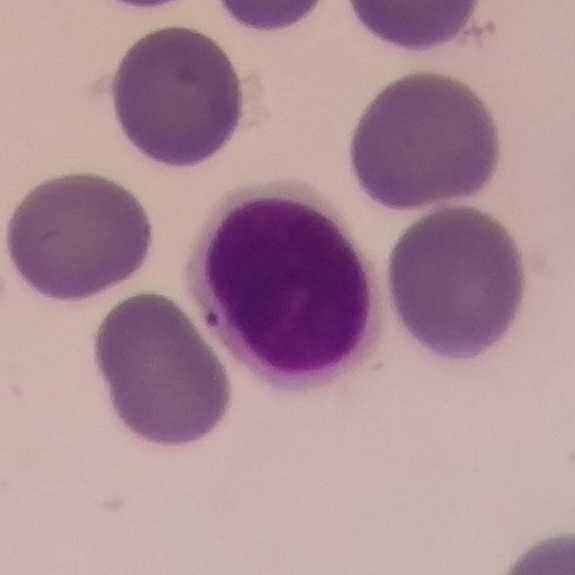 Image: Peripheral blood film. The cell shown is a lymphocyte.